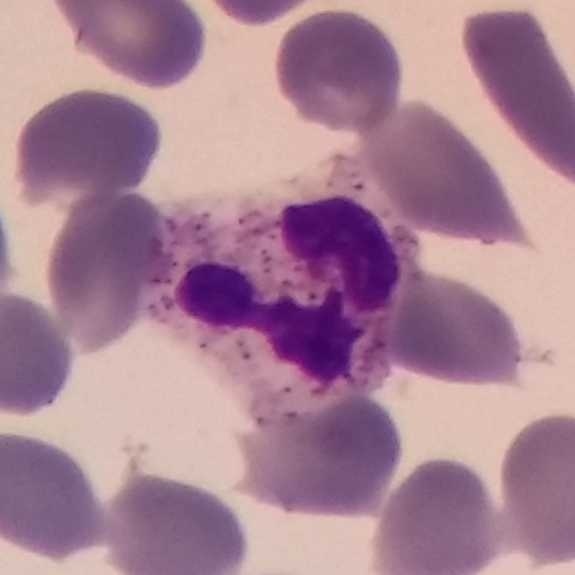

Single cell identified as a neutrophil granulocyte. Image: Peripheral blood smear; single-cell crop; 575×575.